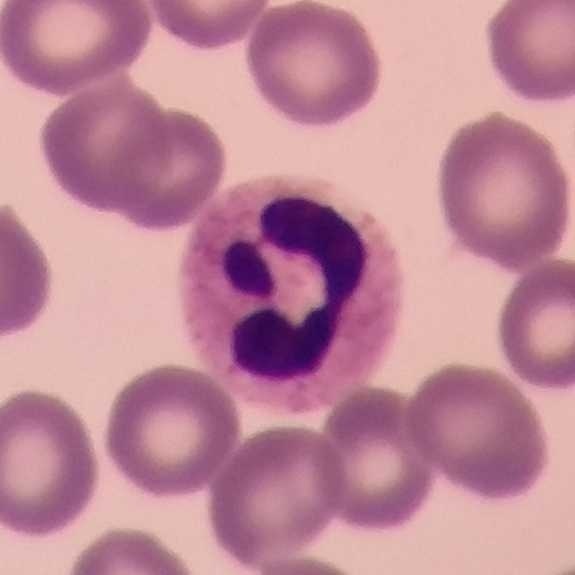

Peripheral blood smear; single white blood cell cropped from the smear photograph.

Neutrophilic granulocyte.